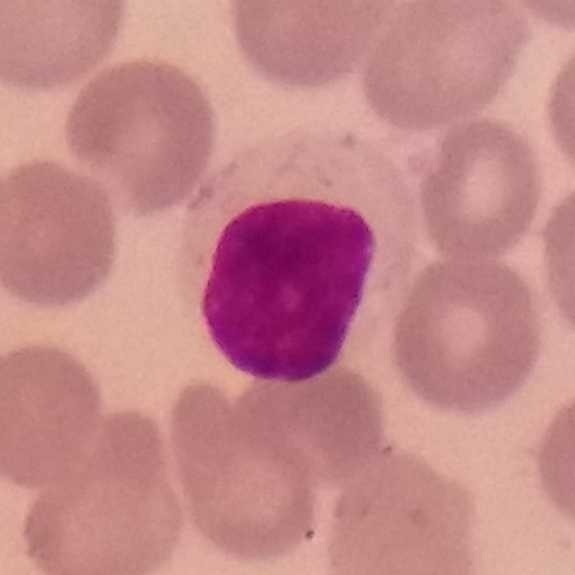 White blood cell type: lymphocyte.

Acquisition: Photographed through a light microscope with a smartphone camera. Single-cell crop. Peripheral blood smear.